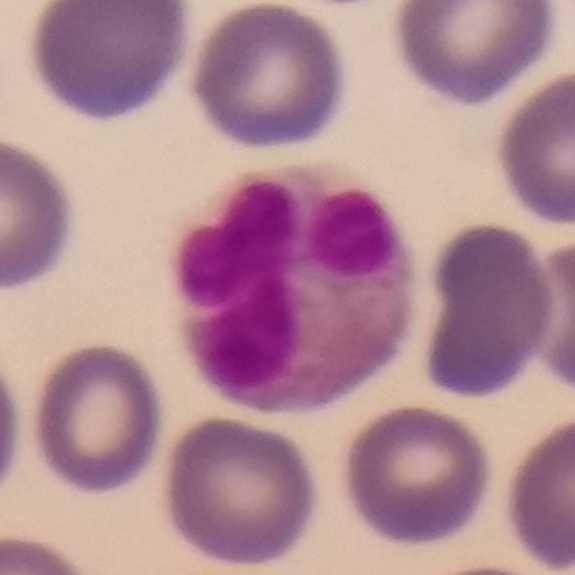
Morphology — eosinophilic granulocyte. Peripheral blood smear.